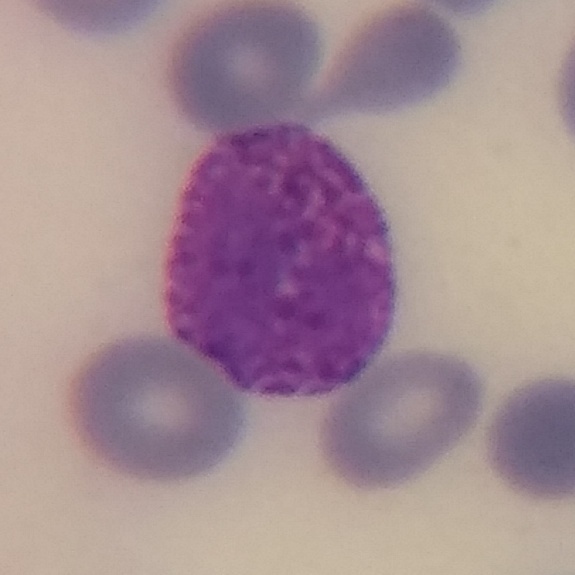

The cell type is basophil.